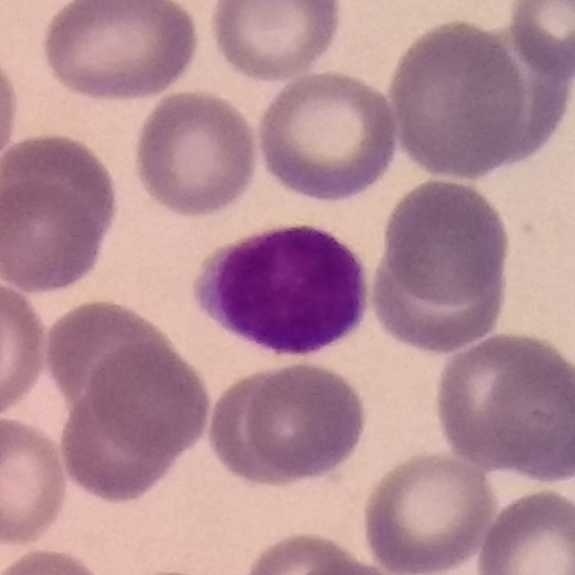
Peripheral blood film · Giemsa-stained.
White blood cell type = lymphocyte.